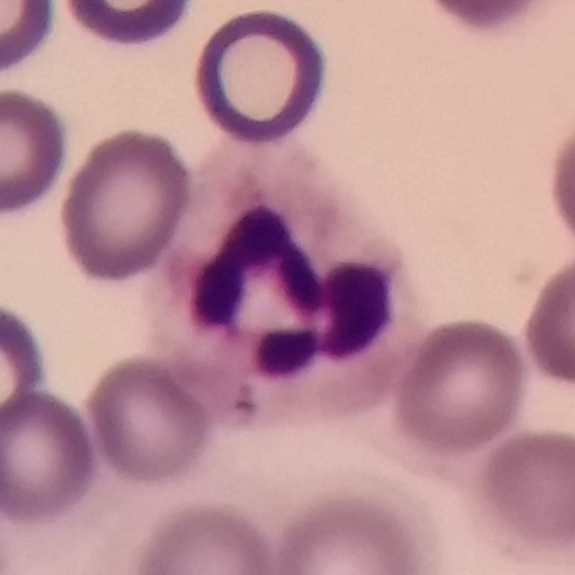

{"cell_type": "neutrophil granulocyte", "lineage": "myeloid"}